Peripheral blood smear
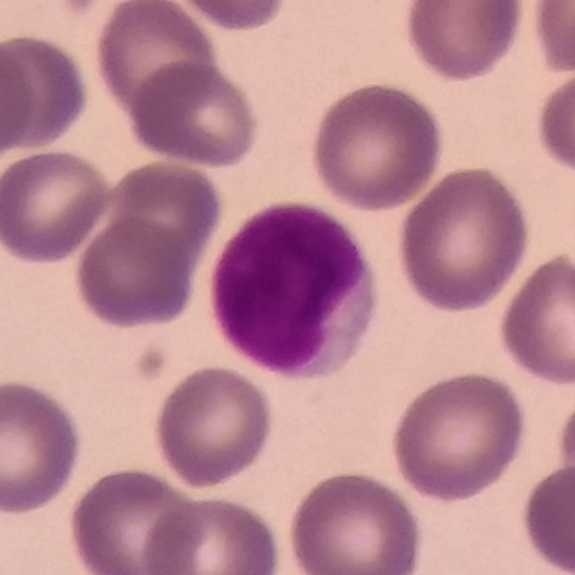Q: Identify the cell.
A: It is a lymphocyte.